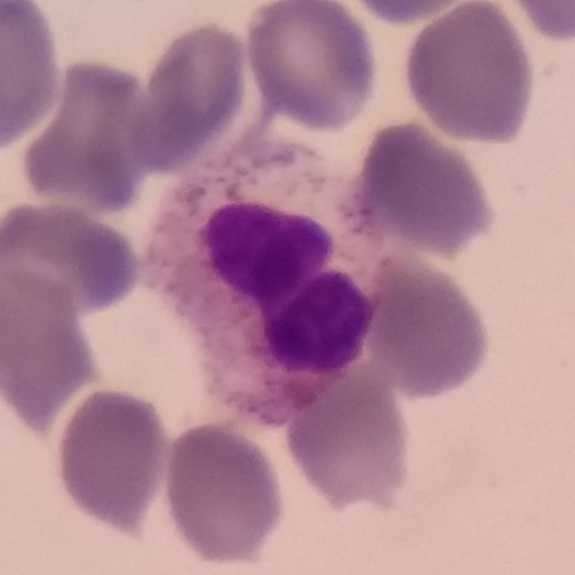 Image: Peripheral blood smear. Neutrophil granulocyte.